Imaged at 100×; peripheral blood smear
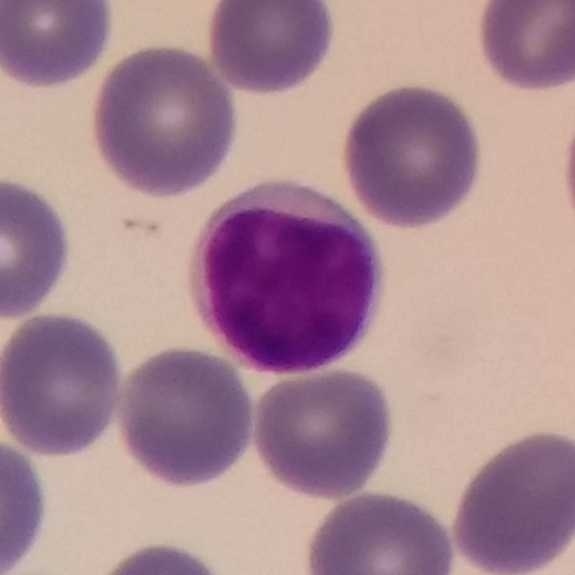White blood cell type: lymphocyte.